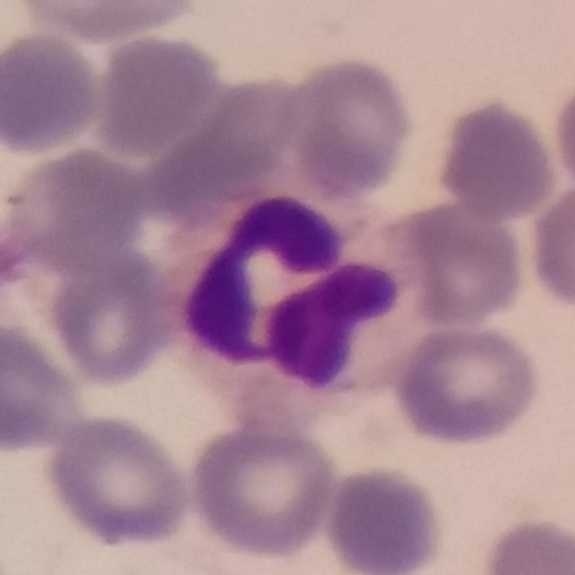 Peripheral blood film.

Classification — neutrophilic granulocyte.